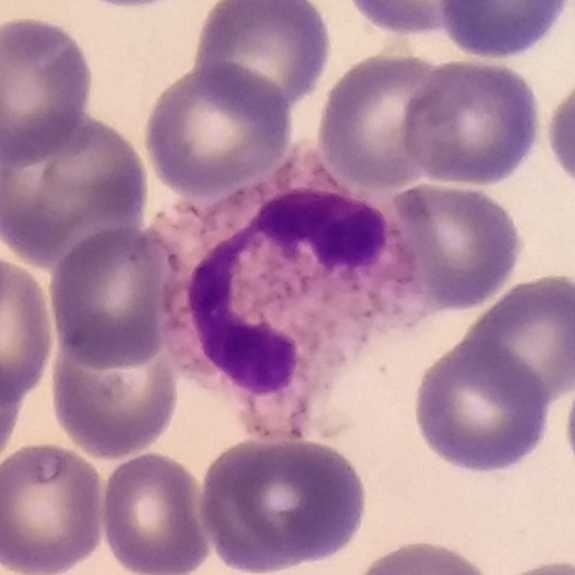 Peripheral blood smear. Impression — neutrophil.